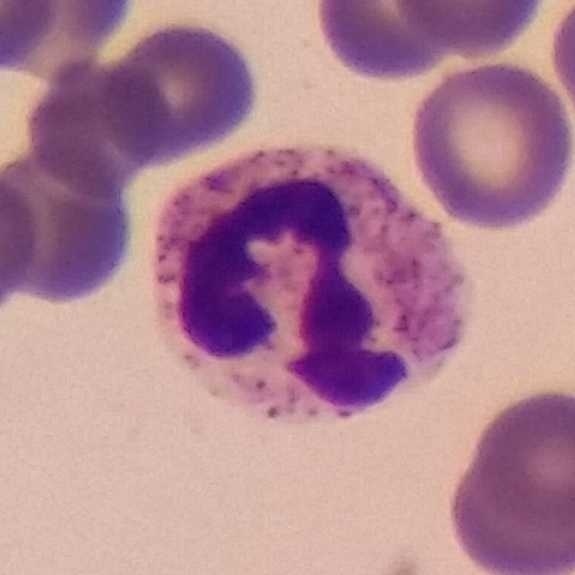 Morphology consistent with a neutrophil granulocyte.
Giemsa stain; peripheral blood smear; magnification 100×.